Peripheral blood smear — 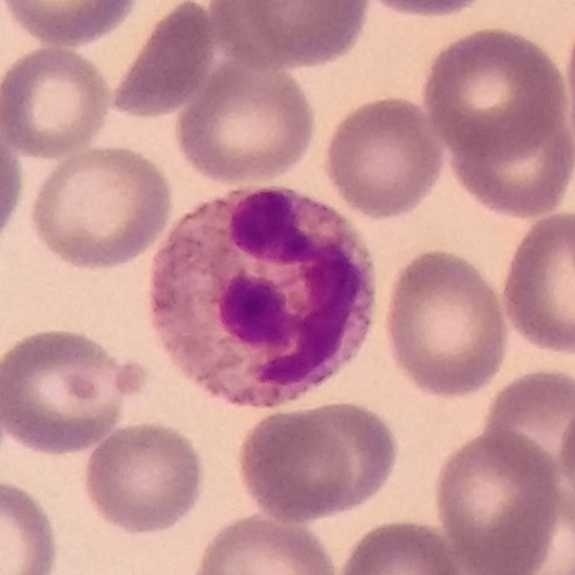

Morphology — neutrophil.